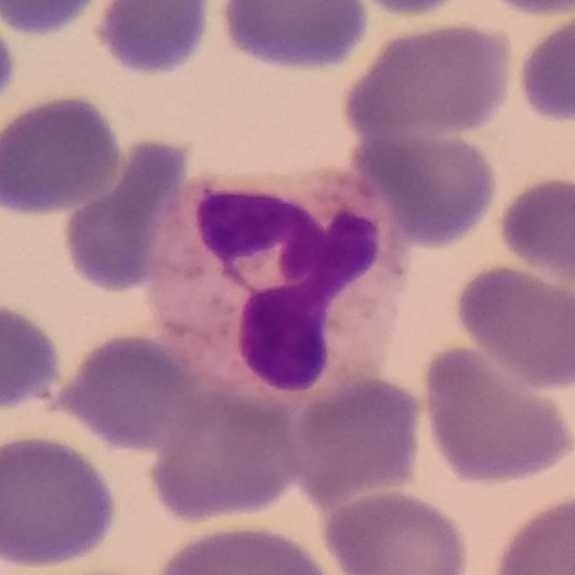Preparation: Peripheral blood film. Morphology consistent with a neutrophil granulocyte.